Peripheral blood film; stained with Giemsa; 575 by 575 pixels
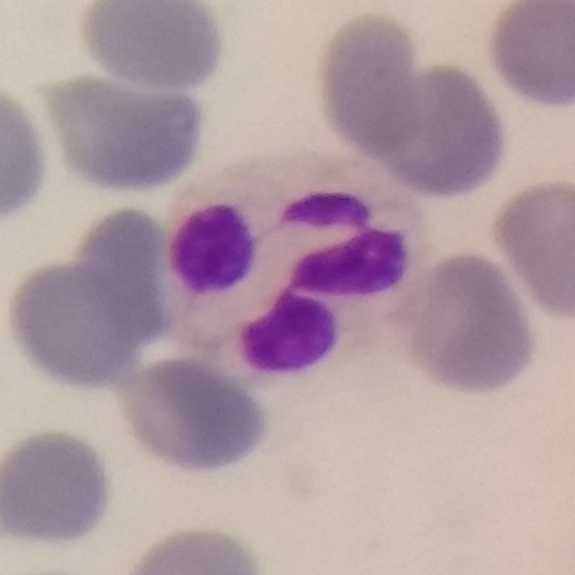Specimen: peripheral blood smear.
Cell type: neutrophil granulocyte.
Lineage: myeloid.